Peripheral blood film: 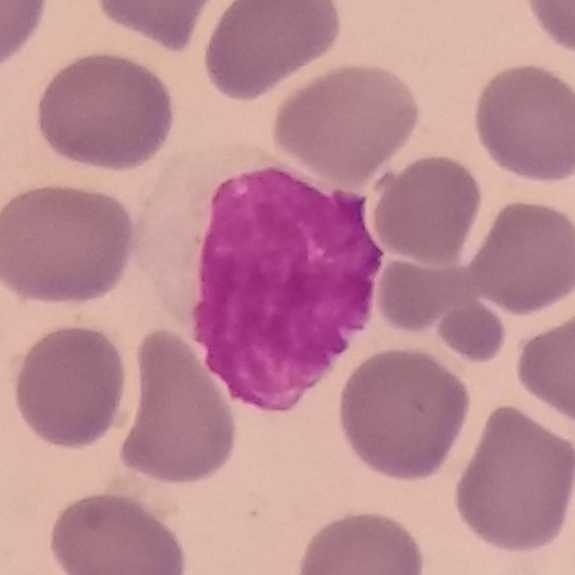

The morphological class is monocyte.